Peripheral blood smear: 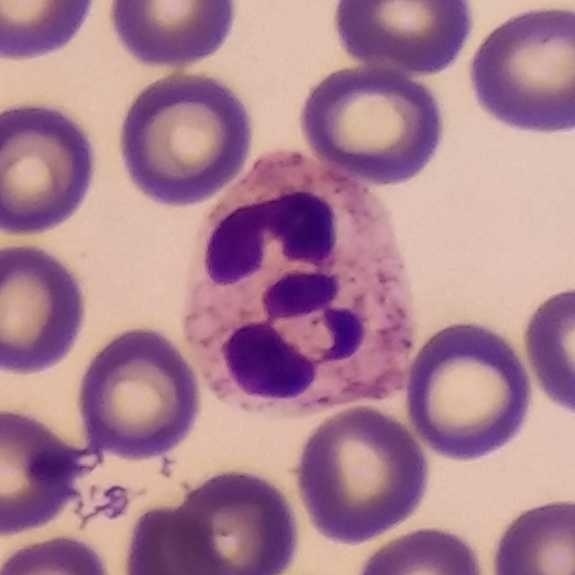 {"cell_type": "neutrophil"}